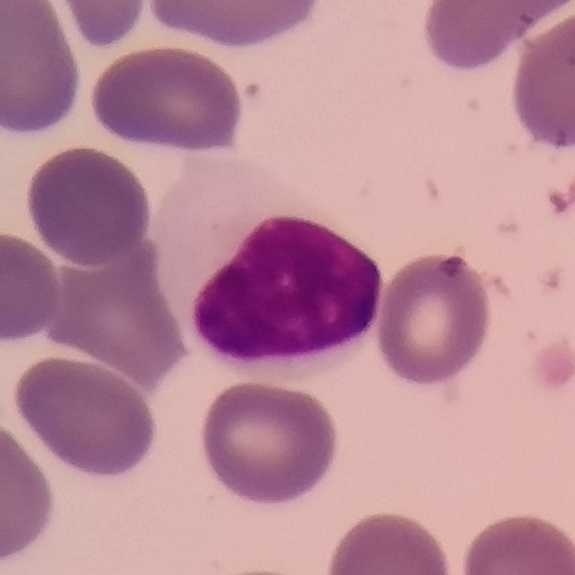 This is a lymphocyte. Peripheral blood film.